Peripheral blood smear; imaged at 100×:
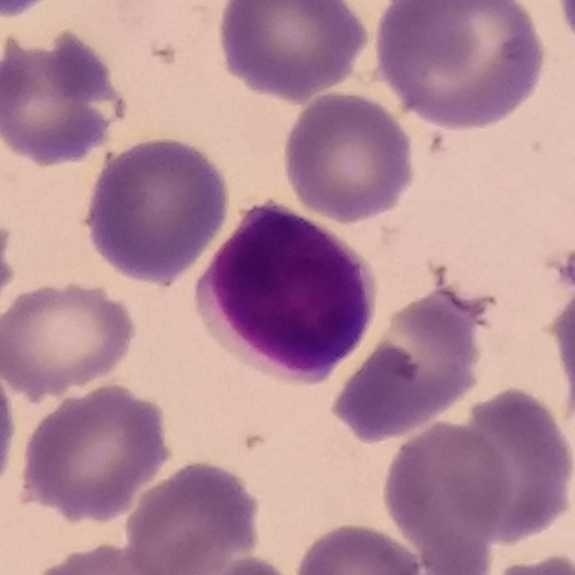A lymphocyte.